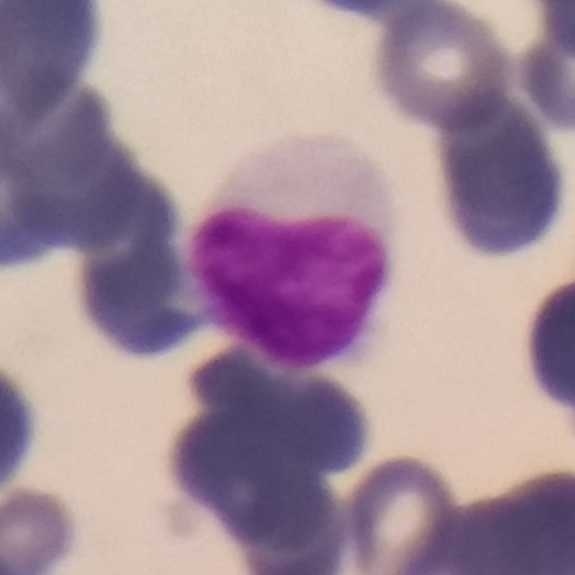
Specimen: peripheral blood film.
Cell type: lymphocyte.
Lineage: lymphoid.